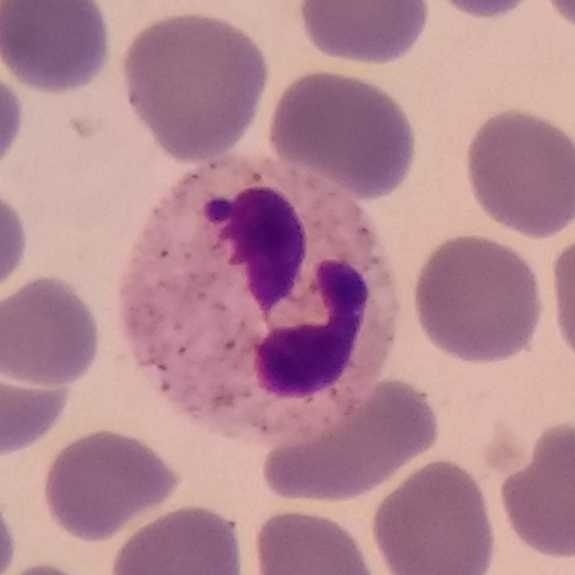
Cell = neutrophil granulocyte. Peripheral blood film.